Peripheral blood film.
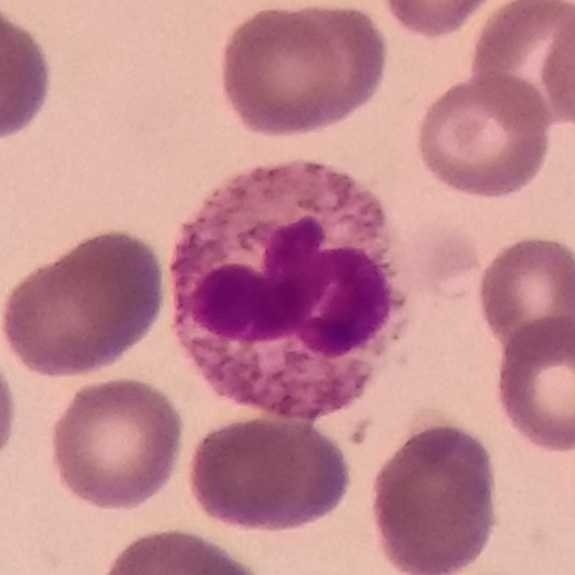 This is a neutrophil.